Peripheral blood smear; smartphone photomicrograph; magnification 100×
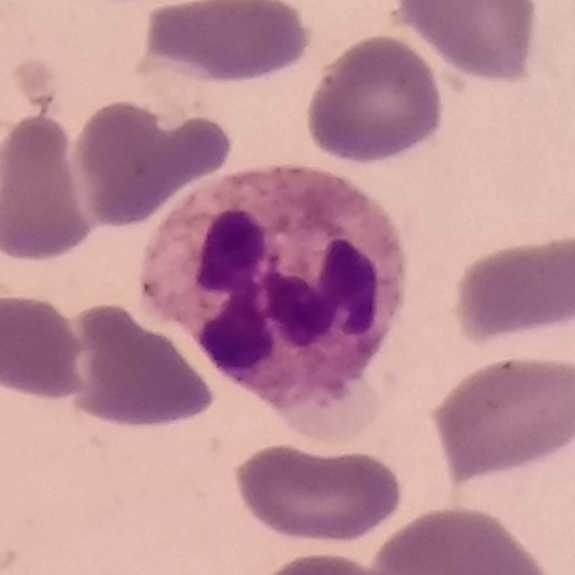White blood cell type — neutrophil.